100× magnification; single-cell crop; peripheral blood film
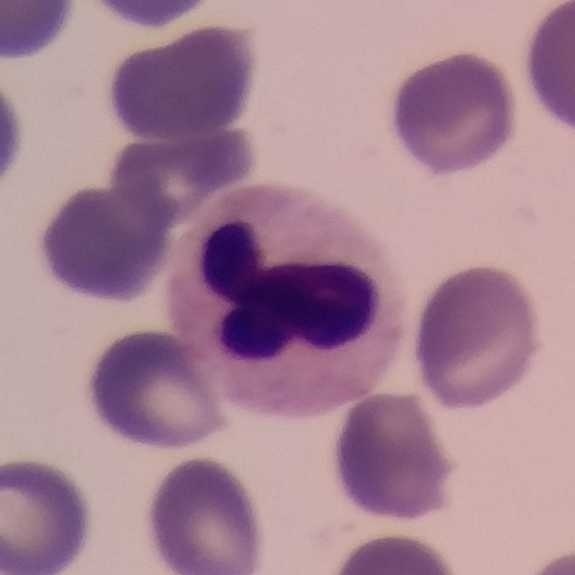 Single cell identified as a neutrophil.